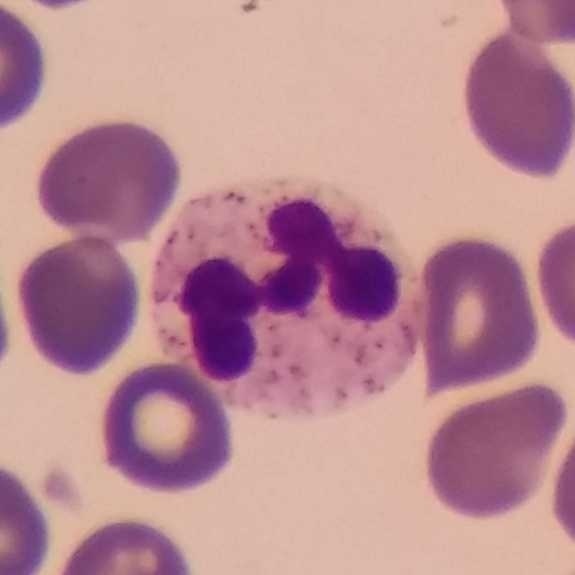Peripheral blood film.
The cell is neutrophil granulocyte.